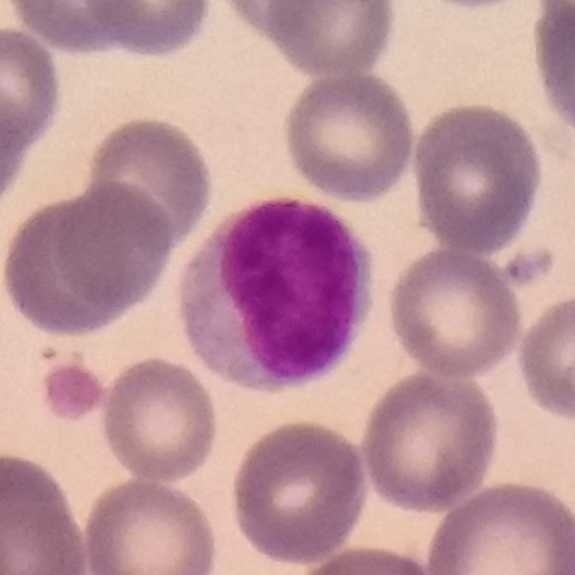 Peripheral blood smear. Single-cell crop.
Q: Which type of white blood cell is this?
A: It is a lymphocyte.